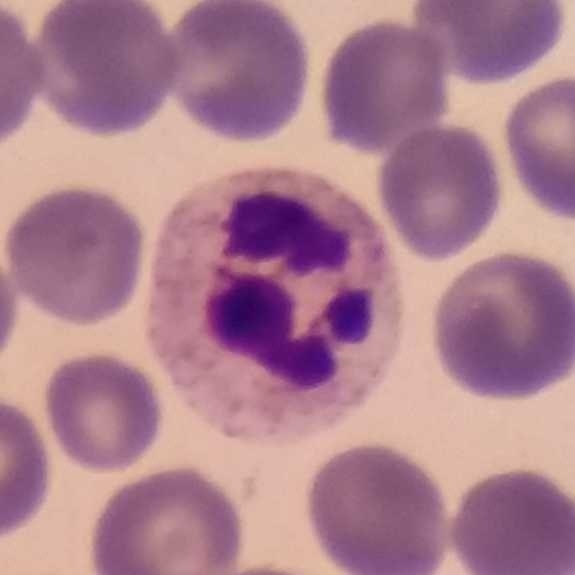 Image: Peripheral blood film. The cell type is neutrophilic granulocyte.